100× magnification · peripheral blood smear.
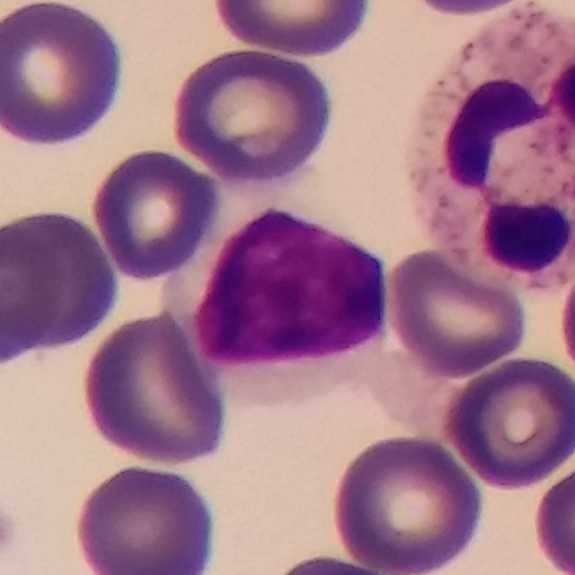The white blood cell type is lymphocyte.